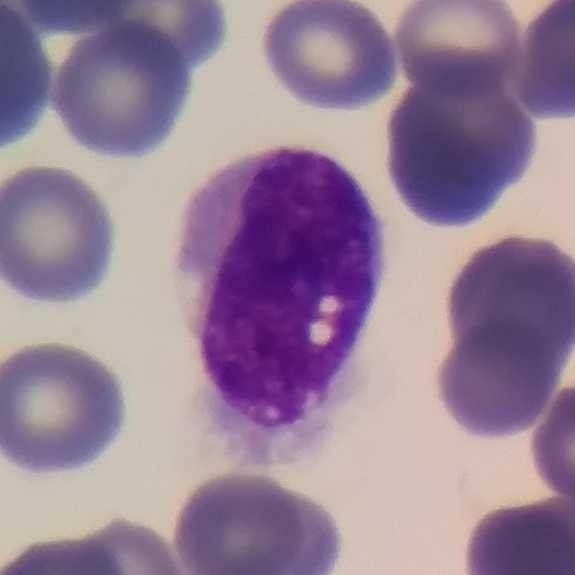 Impression → lymphocyte.